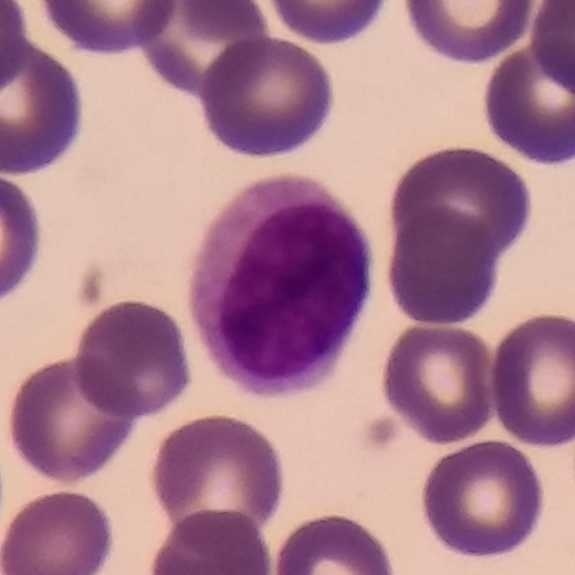The classification is lymphocyte.